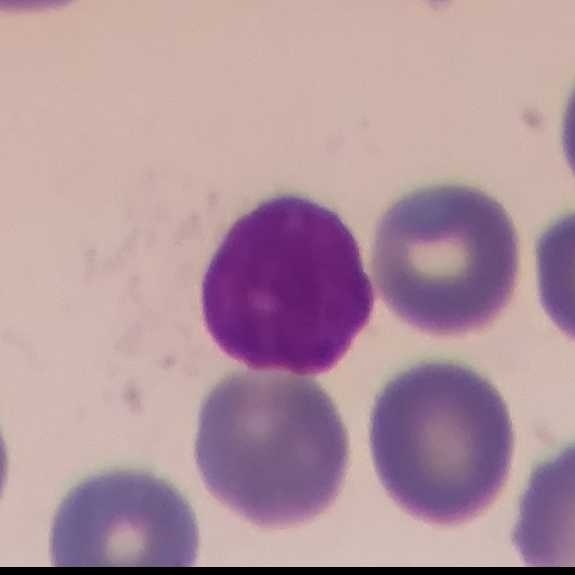Single cell identified as a lymphocyte. Preparation: Peripheral blood smear.